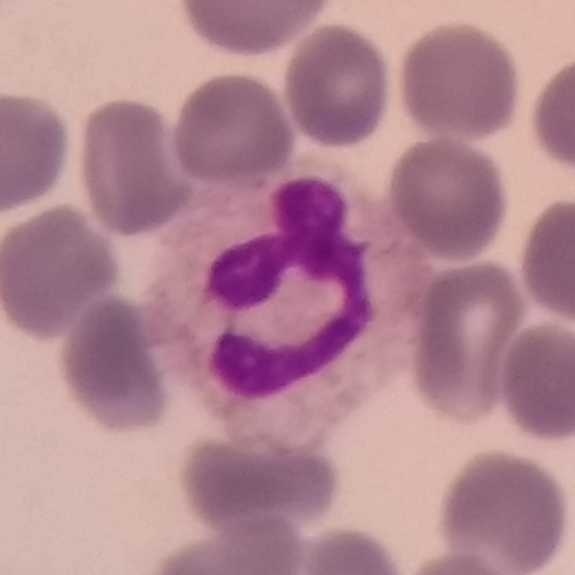 Peripheral blood film.

The classification is neutrophilic granulocyte.